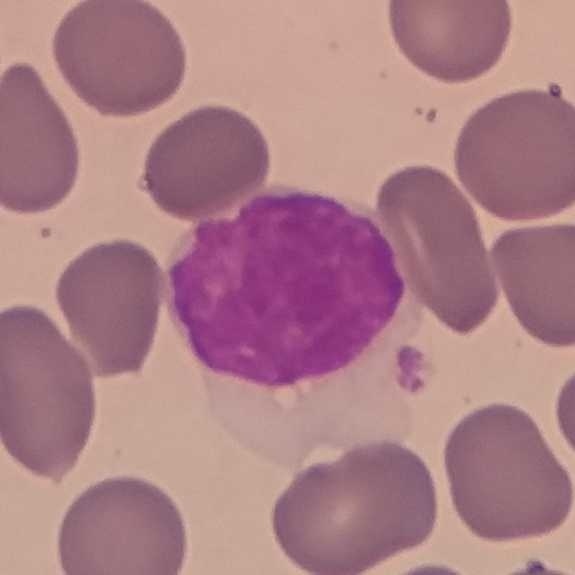
This is a monocyte.

Context: Peripheral blood smear.